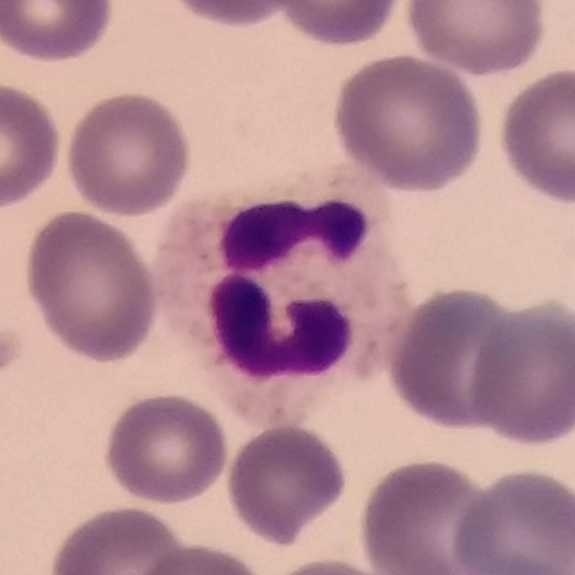 100× magnification. Smartphone photomicrograph.
Specimen: peripheral blood film.
Cell type: neutrophilic granulocyte.